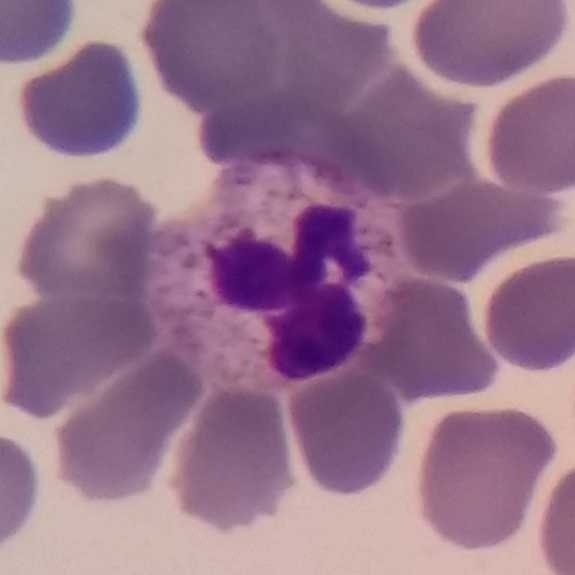Specimen: peripheral blood smear.
Cell type: neutrophilic granulocyte.